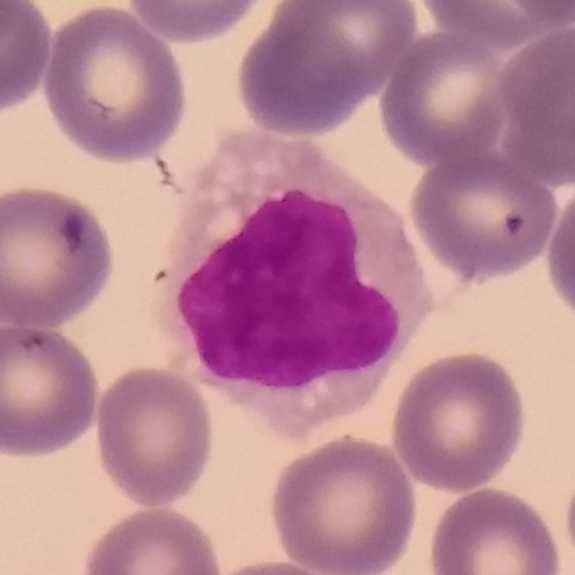

Morphological class — monocyte.